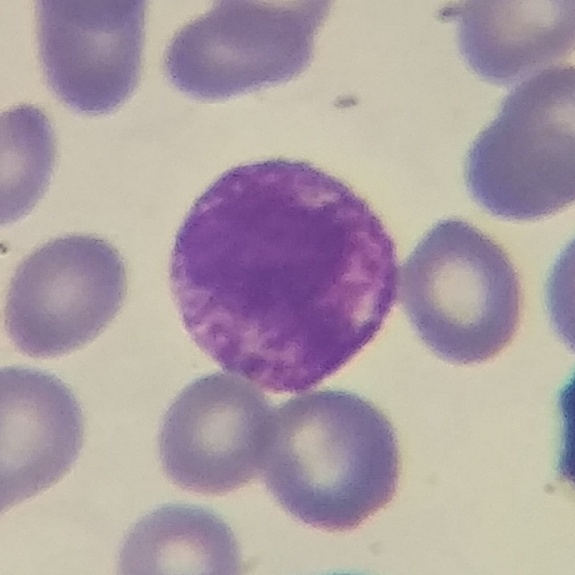 Preparation: Magnification 100×. Smartphone camera mounted on the microscope eyepiece.
Specimen: peripheral blood smear.
Morphological class: basophil.